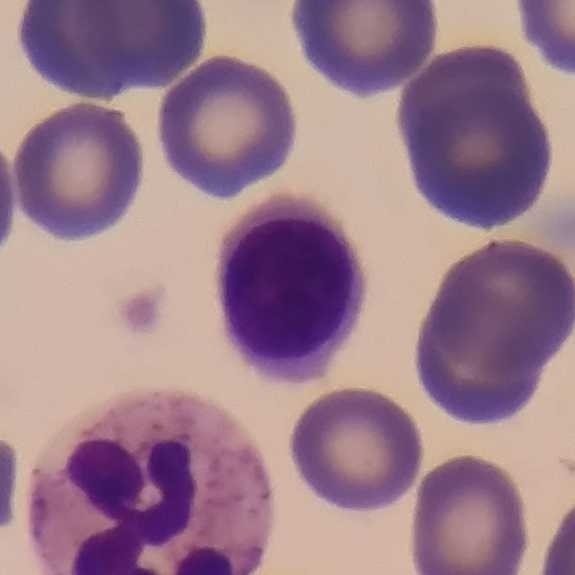
White blood cell type — lymphocyte.

Imaged at 100×. Peripheral blood smear.